Peripheral blood film
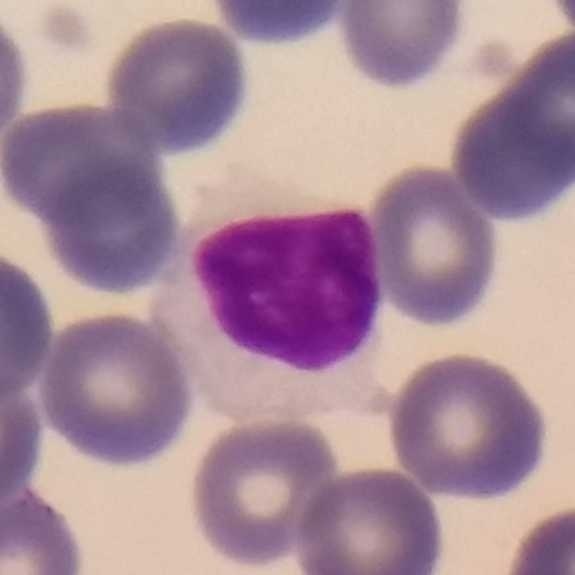
Morphological class = lymphocyte.